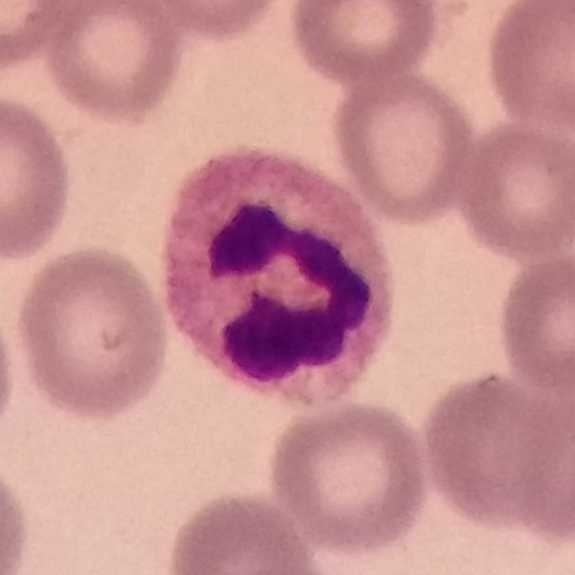

Morphology → neutrophil.

Context: Peripheral blood smear.